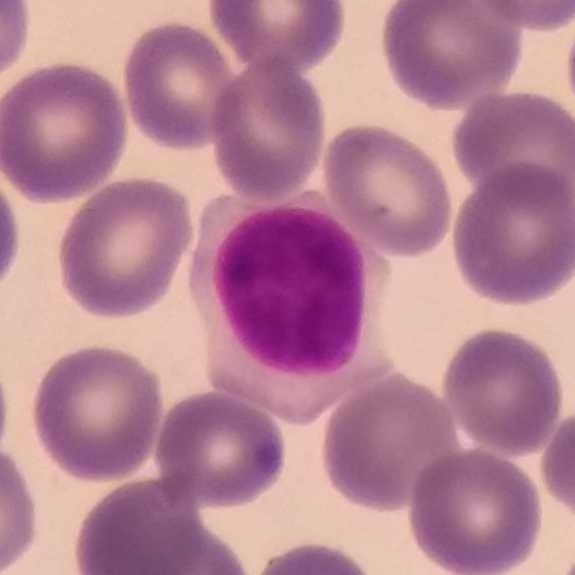

Peripheral blood film.

Impression — lymphocyte.